Peripheral blood film · smartphone camera mounted on the microscope eyepiece · 575×575:
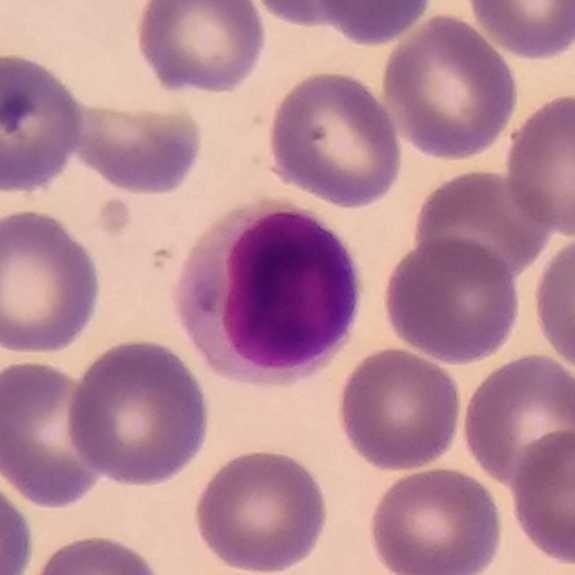

Q: What type of cell is this?
A: A lymphocyte.